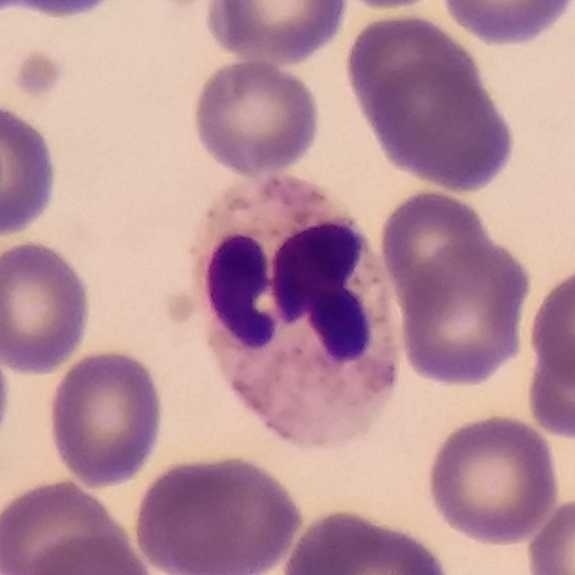
Acquisition: Peripheral blood film. This is a neutrophilic granulocyte.